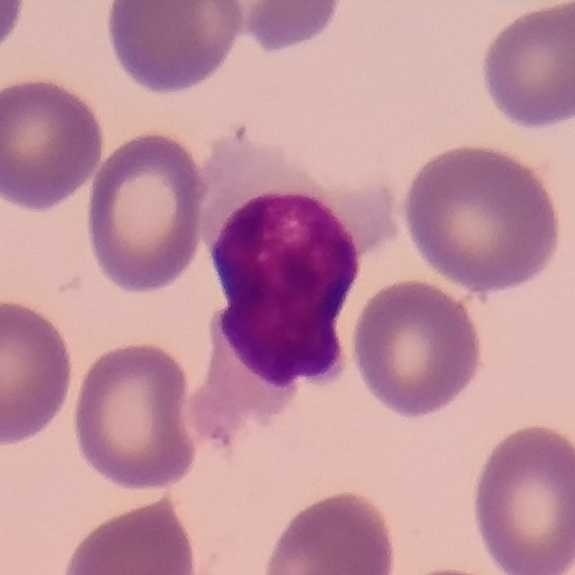Q: Which cell type is shown here?
A: This is a lymphocyte.